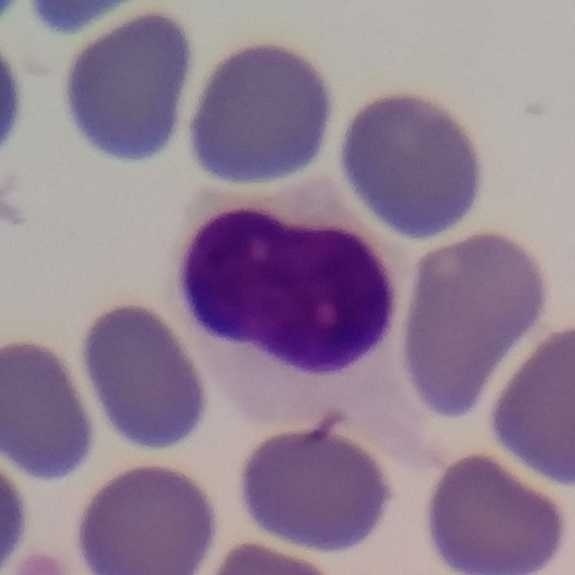 Specimen: peripheral blood smear.
Cell type: lymphocyte.
Lineage: lymphoid.